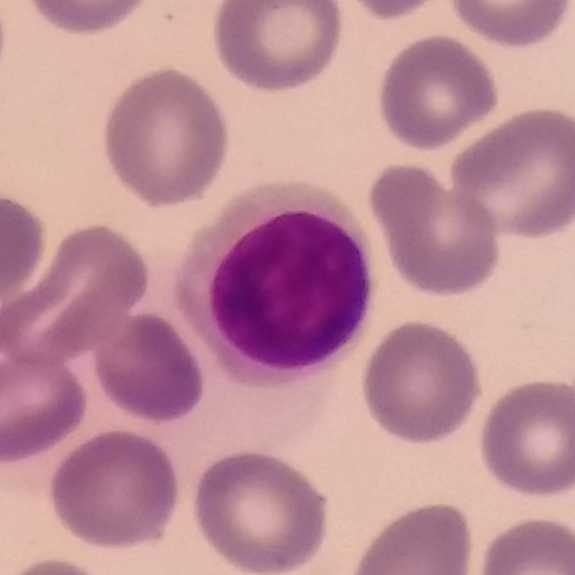 Image: Peripheral blood film; 575 by 575 pixels.
Q: Which cell type is shown here?
A: It is a lymphocyte.